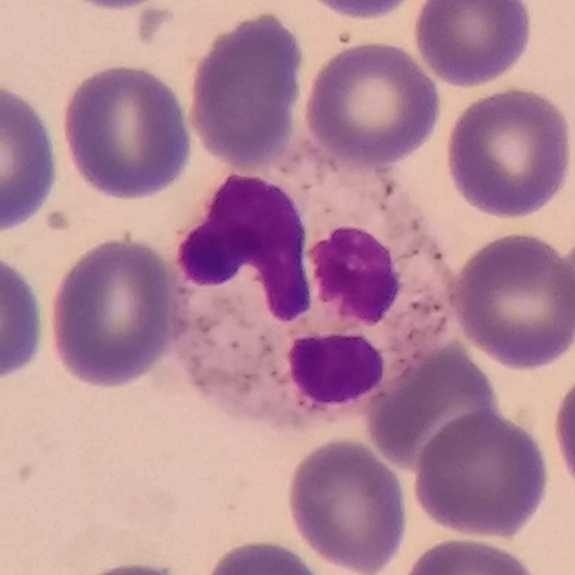{"cell_type": "neutrophilic granulocyte", "lineage": "myeloid"}